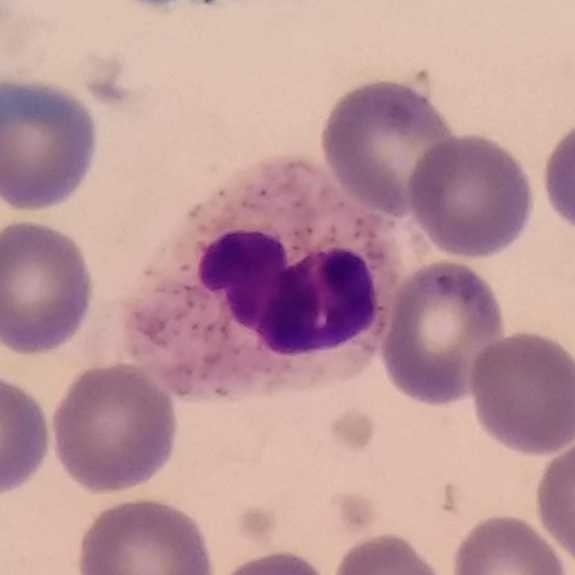
Cell type — neutrophil.